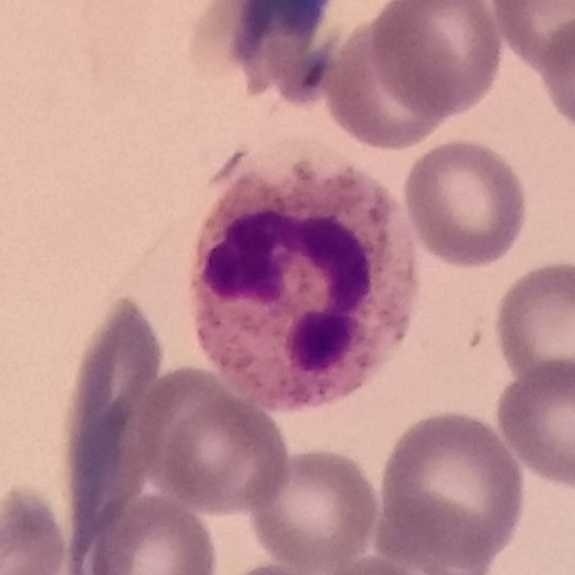 Peripheral blood film.

Q: What is the morphological classification of this cell?
A: It is a neutrophil.